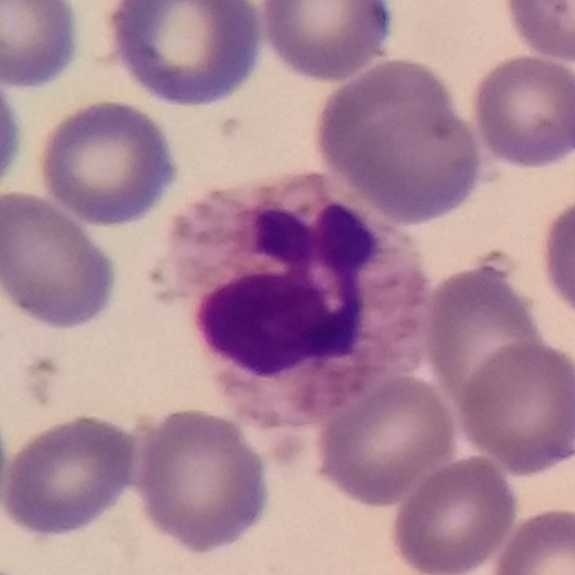Acquisition: Smartphone camera mounted on the microscope eyepiece.

Specimen: peripheral blood smear.
Classification: neutrophil.